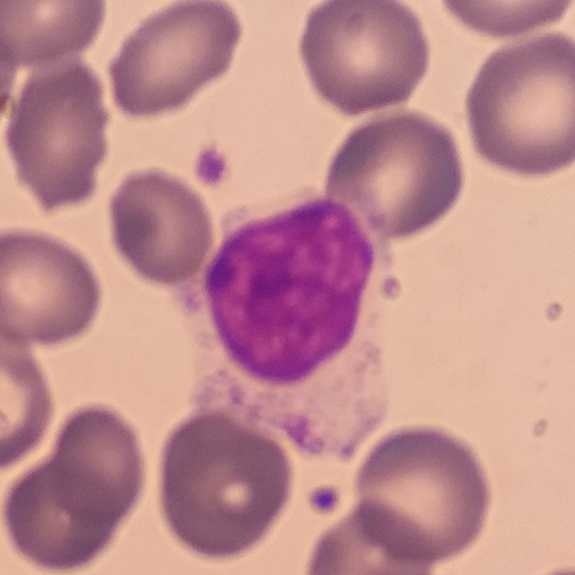 Image: Giemsa-stained · peripheral blood film · 575 by 575 pixels.

Q: What cell is this?
A: Lymphocyte.